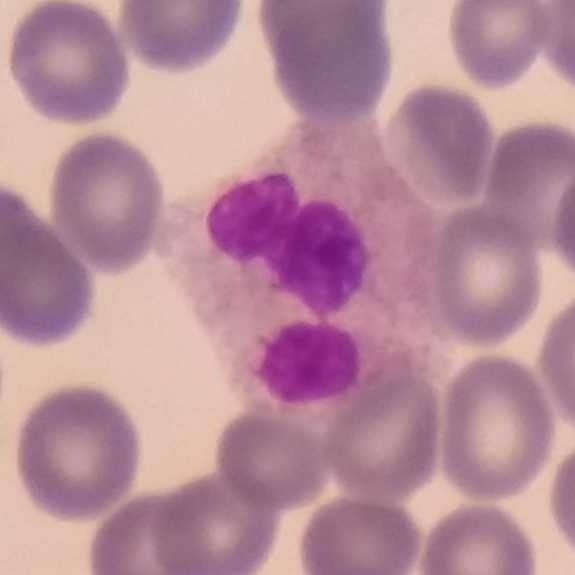
Cell type: neutrophil.